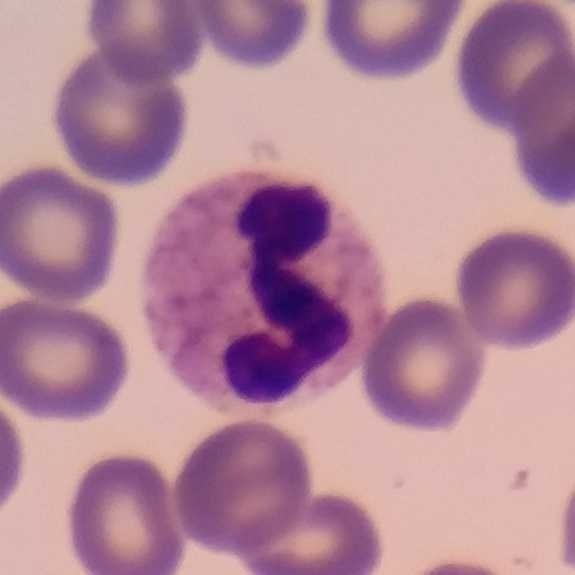Morphology consistent with a neutrophil granulocyte. 575 by 575 pixels. Peripheral blood film.